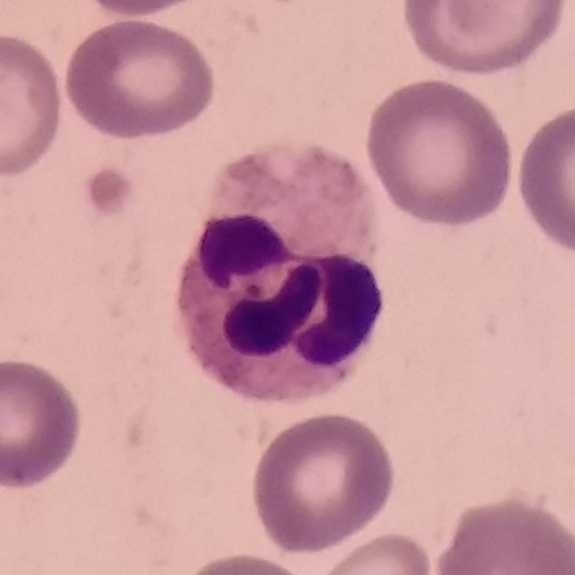Preparation: Peripheral blood film.
The cell shown is a neutrophil granulocyte.